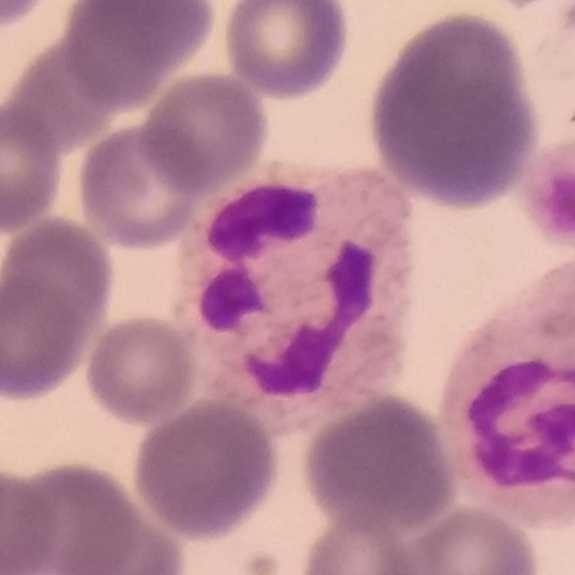
Cell = neutrophil.